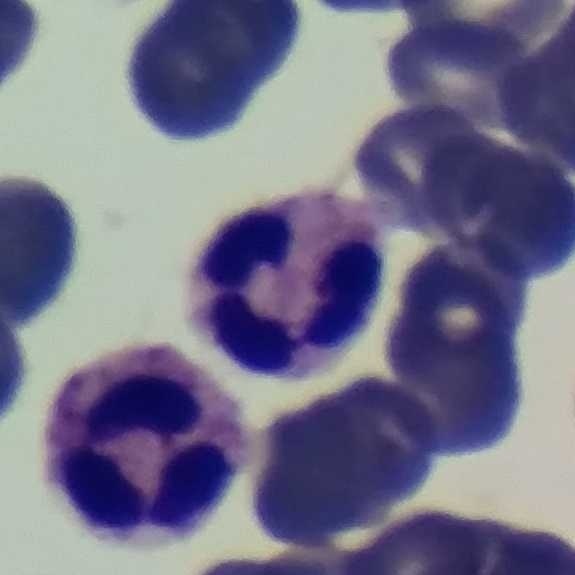

Specimen: peripheral blood film.
Cell type: neutrophil granulocyte.
Lineage: myeloid.
Context: Single-cell field.